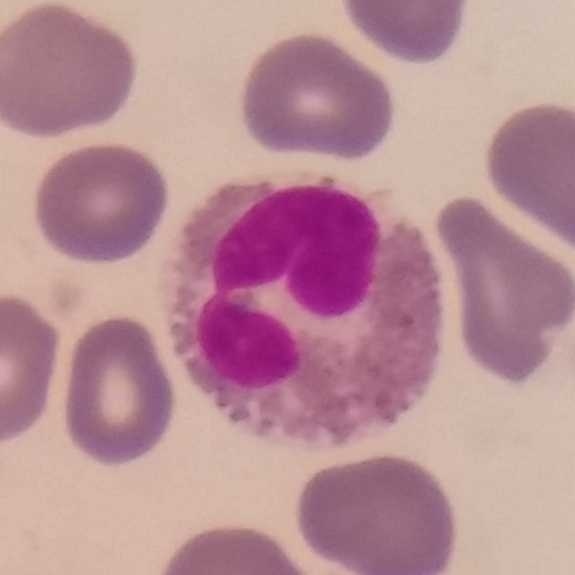

Morphology → eosinophil.